Peripheral blood smear — 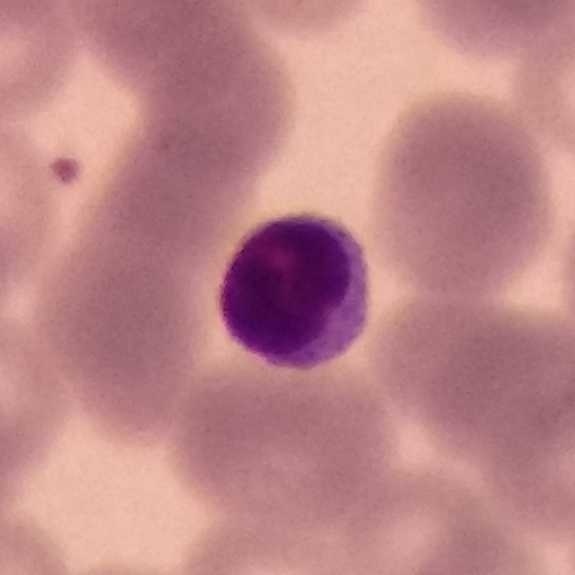
Q: Which type of white blood cell is this?
A: Lymphocyte.